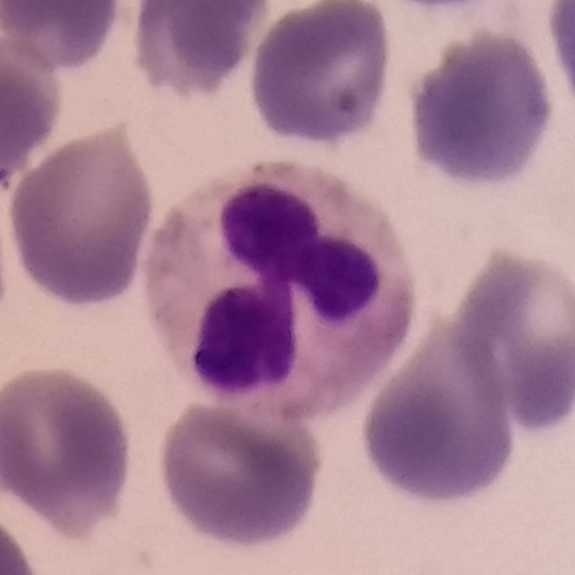Context: Smartphone photomicrograph. Peripheral blood film. Single white blood cell cropped from the smear photograph.
Q: Which type of white blood cell is this?
A: A neutrophil granulocyte.